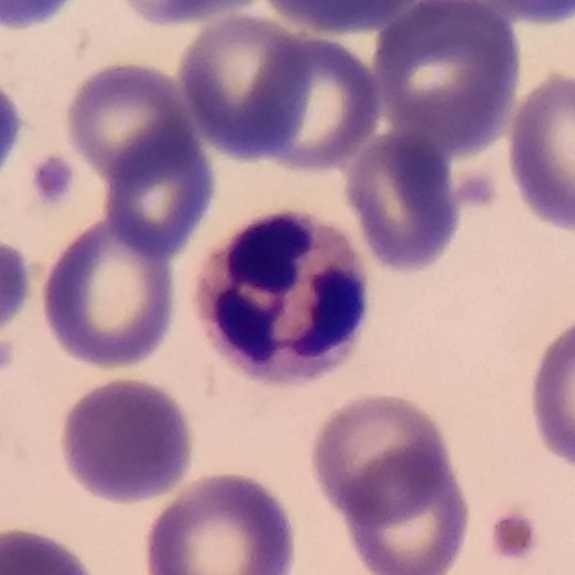
The white blood cell in this image is a neutrophil granulocyte.